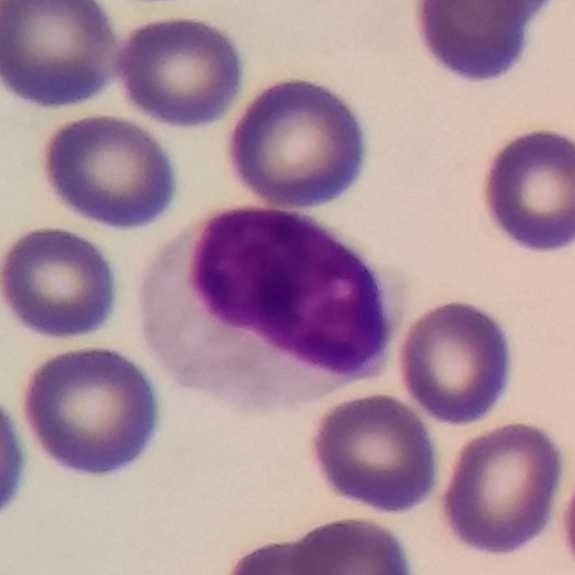Q: What cell is this?
A: This is a lymphocyte.
Preparation: Peripheral blood film · smartphone photomicrograph.